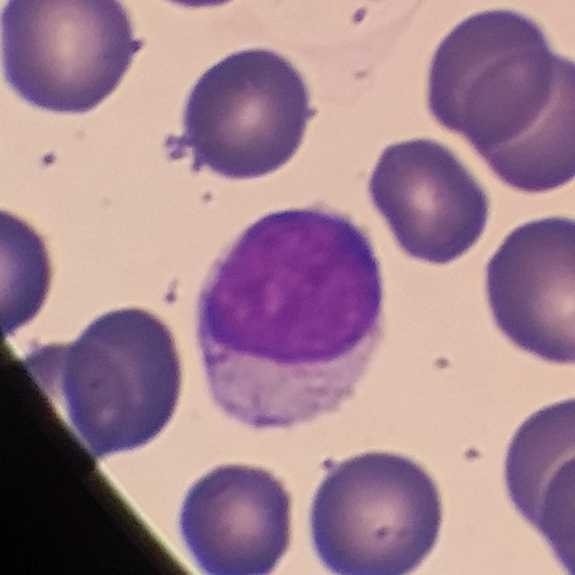
Identified as a lymphocyte.
Peripheral blood film.